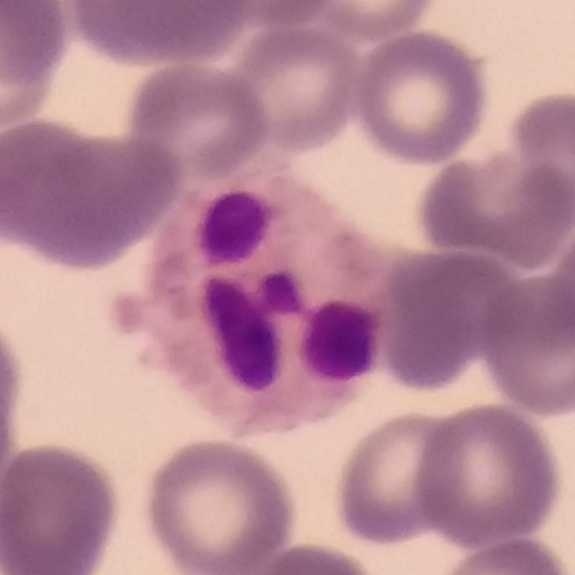
Neutrophilic granulocyte.